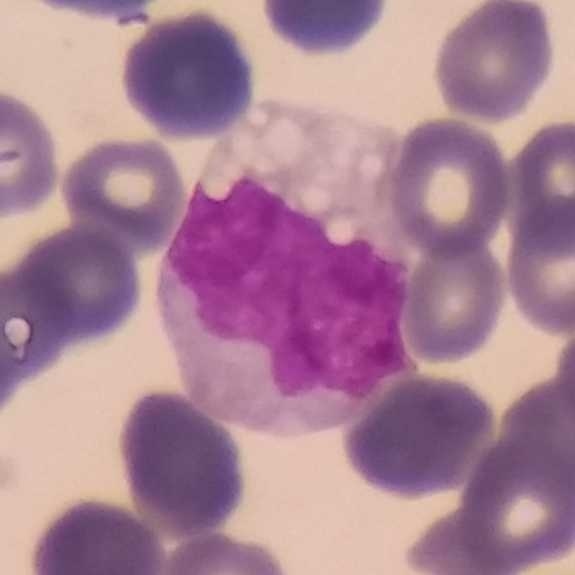Showing a monocyte.

Acquisition: Phone-camera image taken through the microscope ocular; peripheral blood film.